Peripheral blood smear — 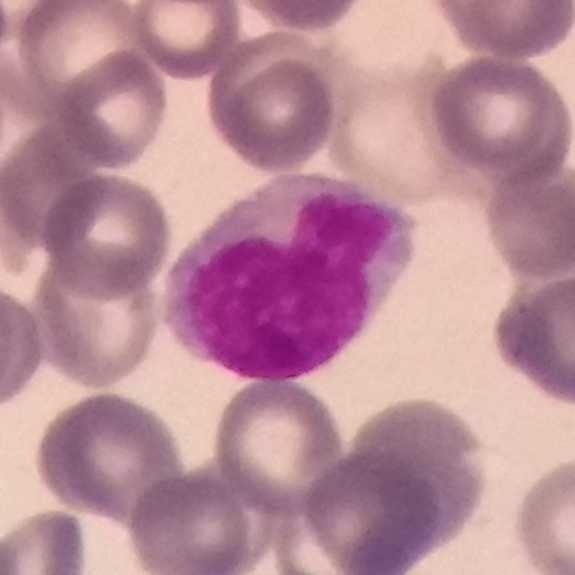 Classification — lymphocyte.